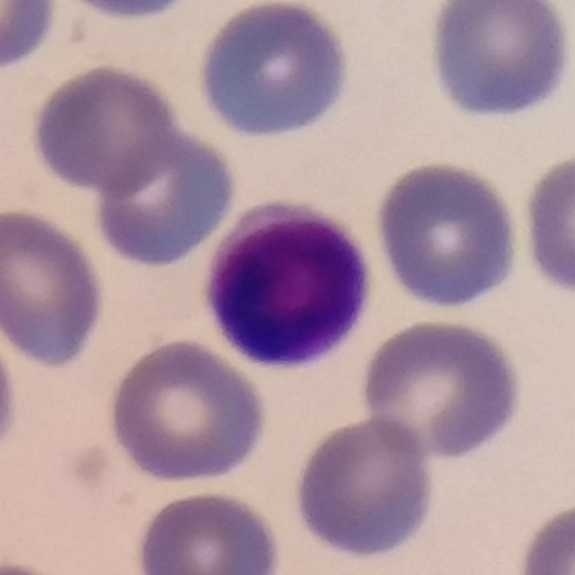

Specimen: peripheral blood smear.
White blood cell type: lymphocyte.
Lineage: lymphoid.